Peripheral blood smear · Giemsa stain — 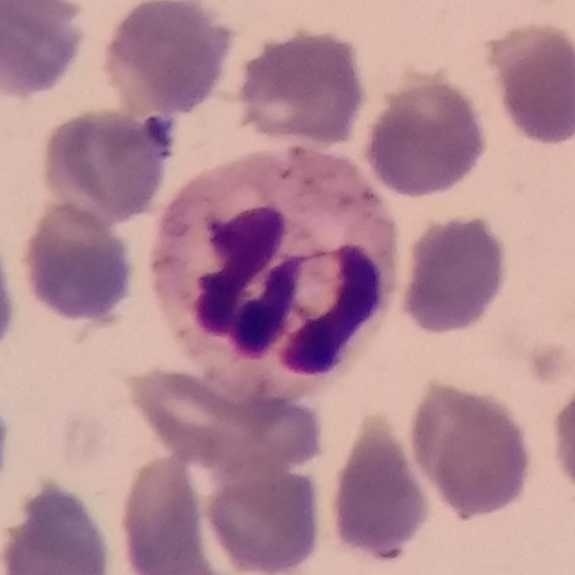

Q: What cell is this?
A: Neutrophil.